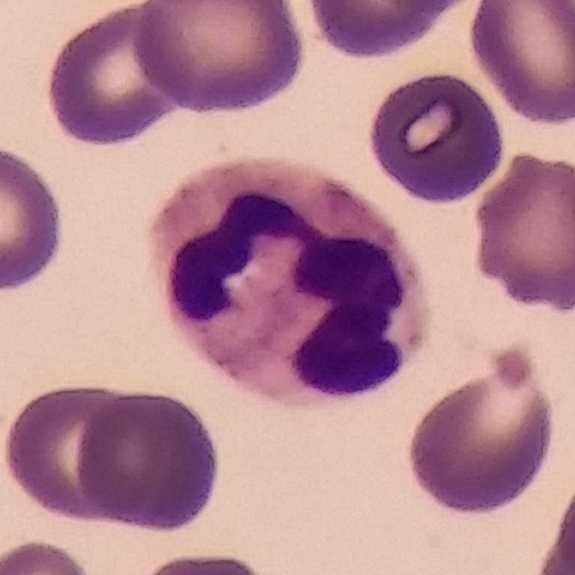

The morphological class is neutrophil.